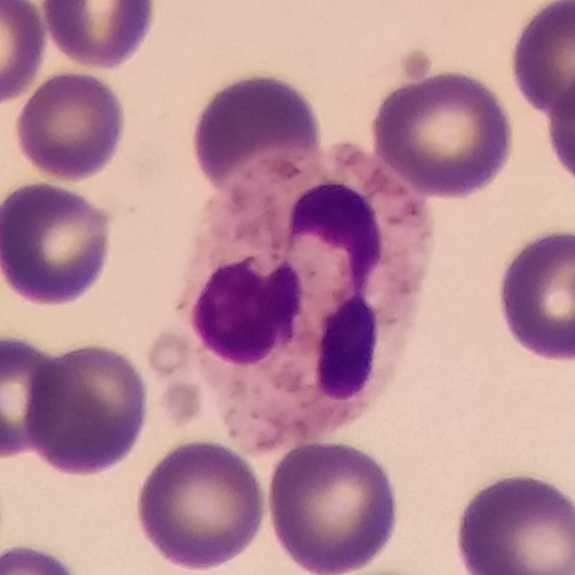

Identified as a neutrophilic granulocyte.
Preparation: Peripheral blood smear; smartphone photomicrograph.